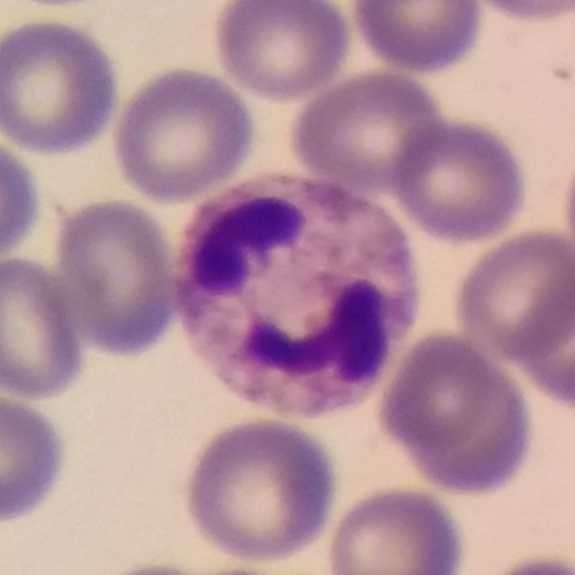The cell shown is a neutrophil granulocyte.

Context: Peripheral blood film.